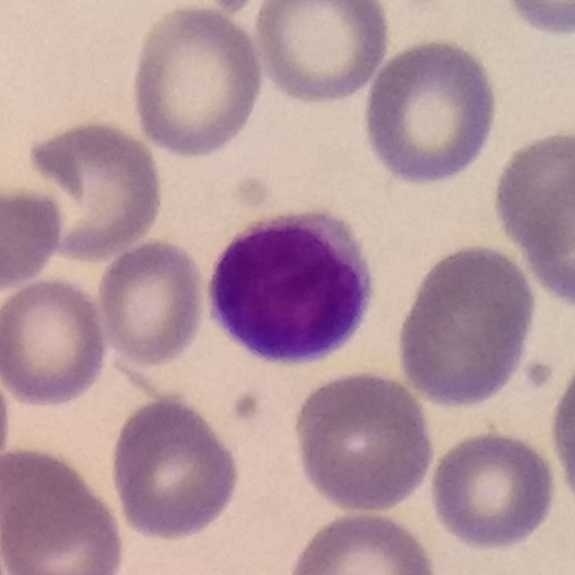 Specimen: peripheral blood smear.
Cell: lymphocyte.
Lineage: lymphoid.